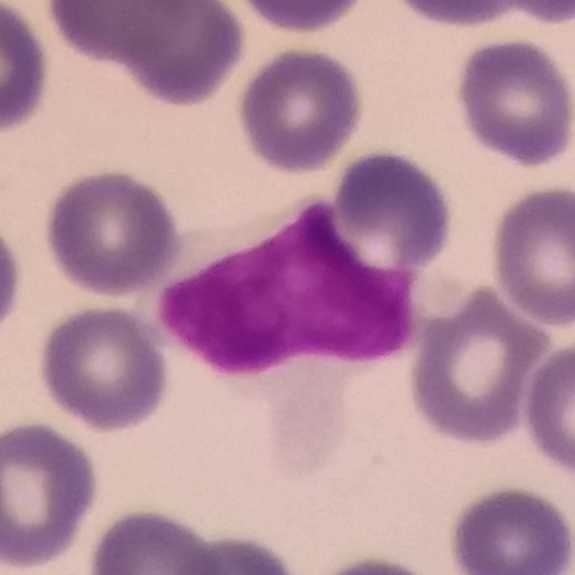
Impression → lymphocyte.

Magnification 100× · peripheral blood film · 575 by 575 pixels.